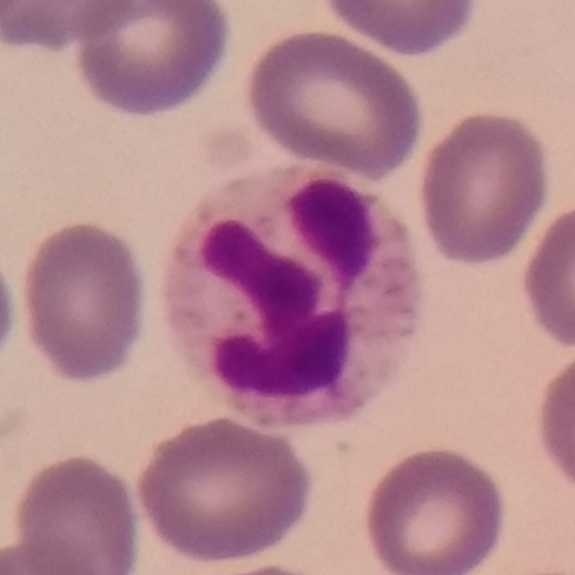 Q: What is the morphological classification of this cell?
A: A neutrophil granulocyte.

Acquisition: Peripheral blood smear · smartphone camera mounted on the microscope eyepiece.